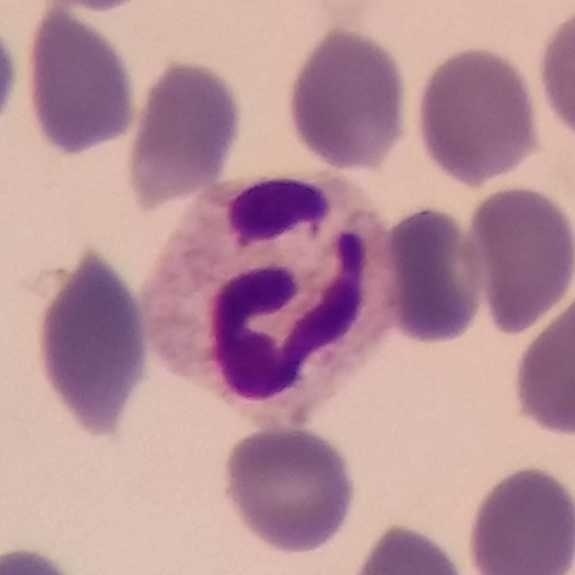Specimen: peripheral blood smear.
White blood cell type: neutrophilic granulocyte.
Lineage: myeloid.
Image: Cropped to one leukocyte.